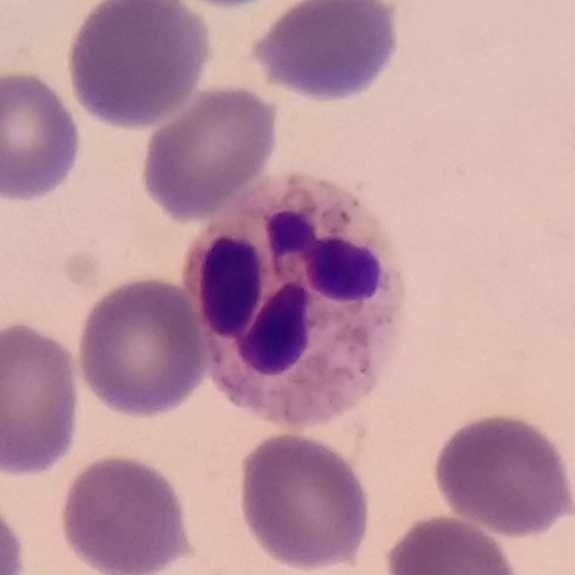 Image: 575×575 px · Giemsa stain · peripheral blood film. {"cell_type": "neutrophil granulocyte"}